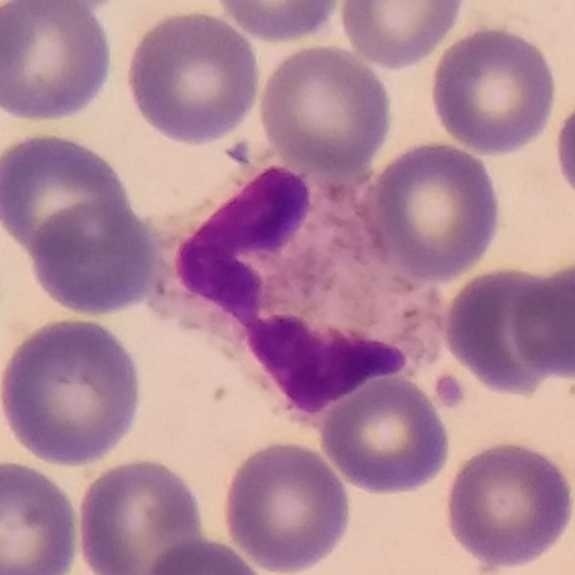Preparation: Peripheral blood smear. 575×575 px.

This is a neutrophil granulocyte.